Peripheral blood smear. 100× magnification: 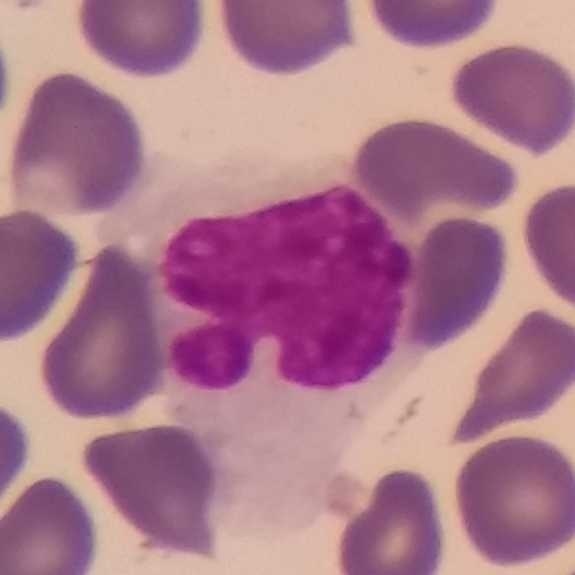The white blood cell in this image is a monocyte.